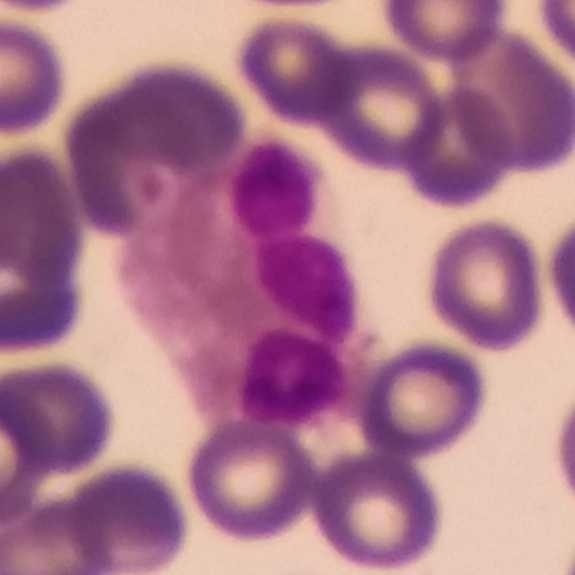 Eosinophil.
Image: Magnification 100×. Peripheral blood smear.